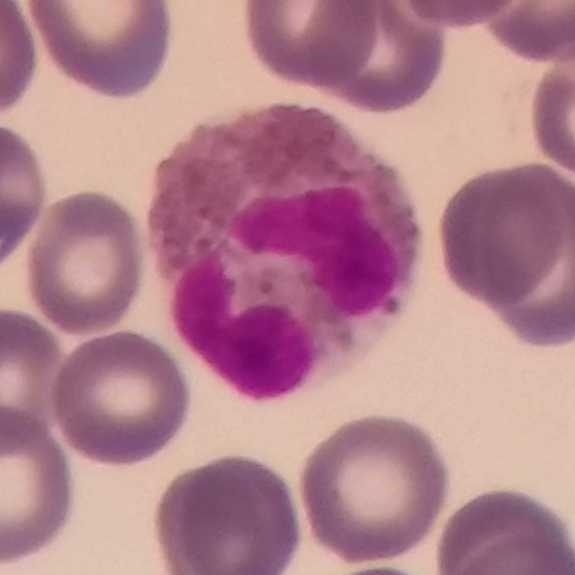

The cell type is eosinophilic granulocyte.